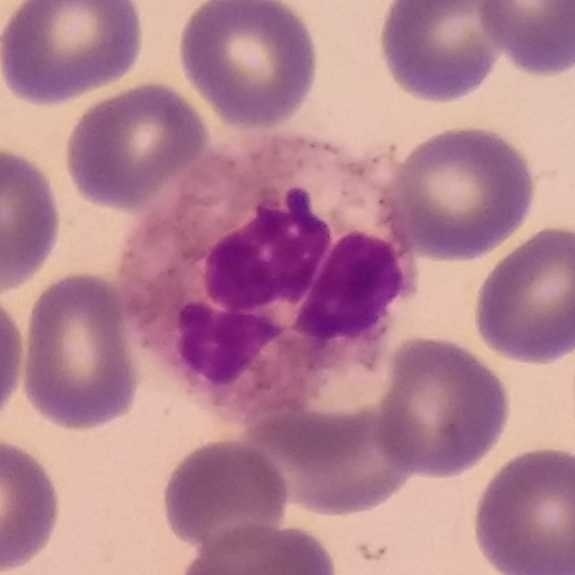 A neutrophil on a peripheral blood smear.